Single white blood cell cropped from the smear photograph; photographed through a light microscope with a smartphone camera; peripheral blood film — 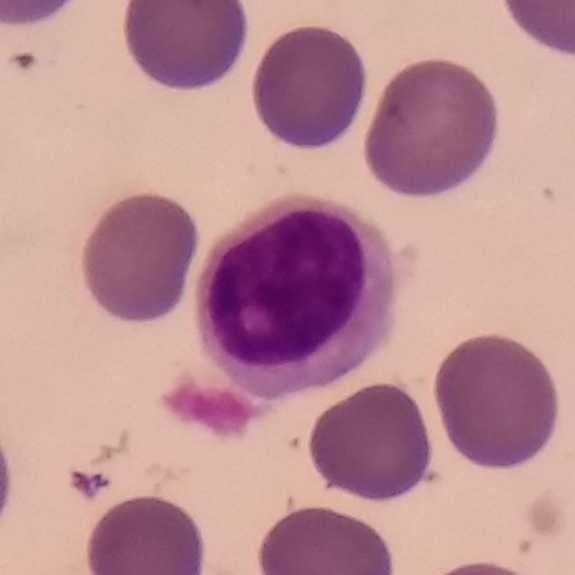The cell shown is a lymphocyte.